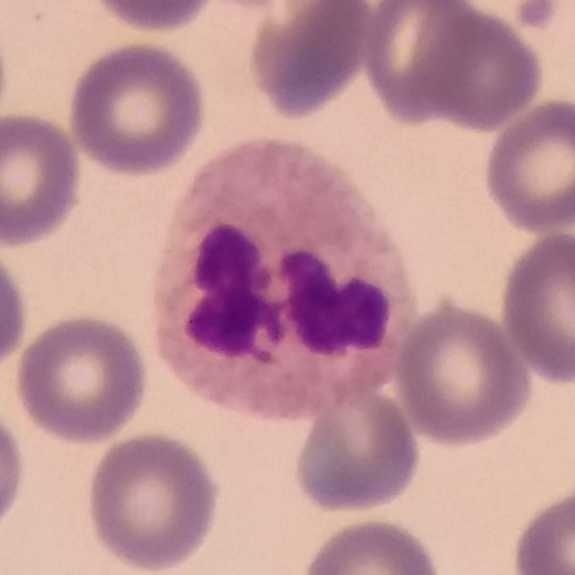 Specimen: peripheral blood film.
Cell type: neutrophil granulocyte.
Lineage: myeloid.